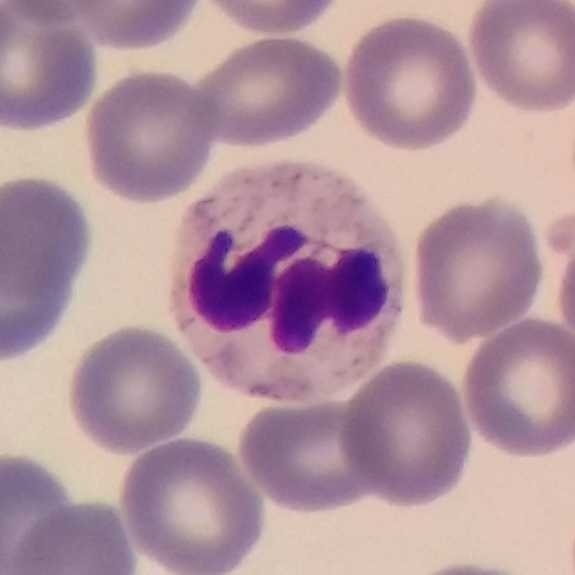

Morphological class = neutrophilic granulocyte.

Preparation: Peripheral blood film. Cropped to one leukocyte. Smartphone photomicrograph.